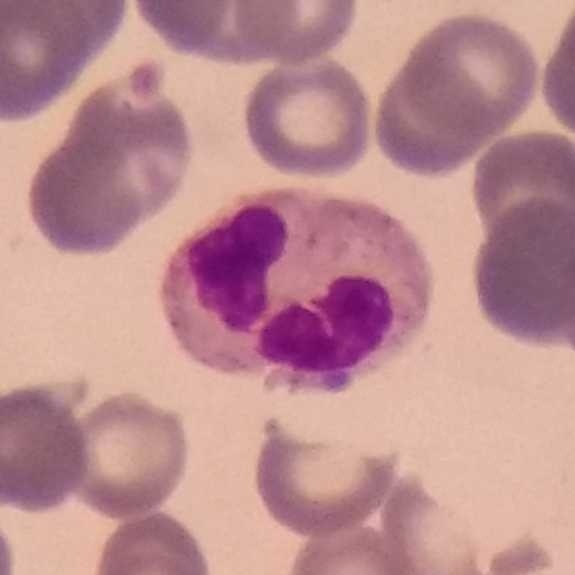 A neutrophil on a peripheral blood smear.